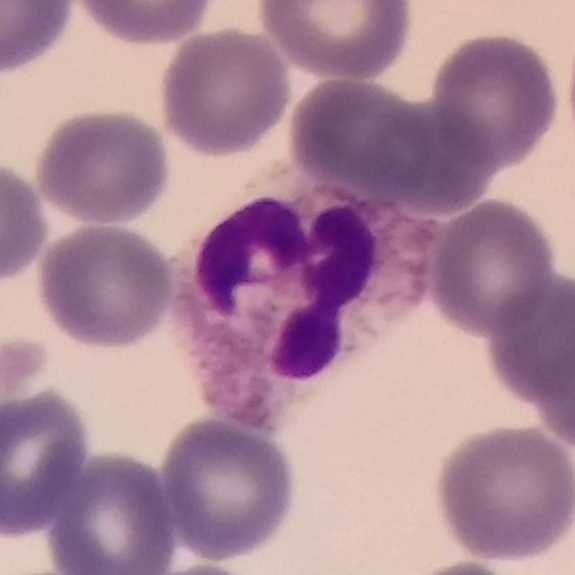

Cell — neutrophil granulocyte.